Giemsa-stained; peripheral blood smear — 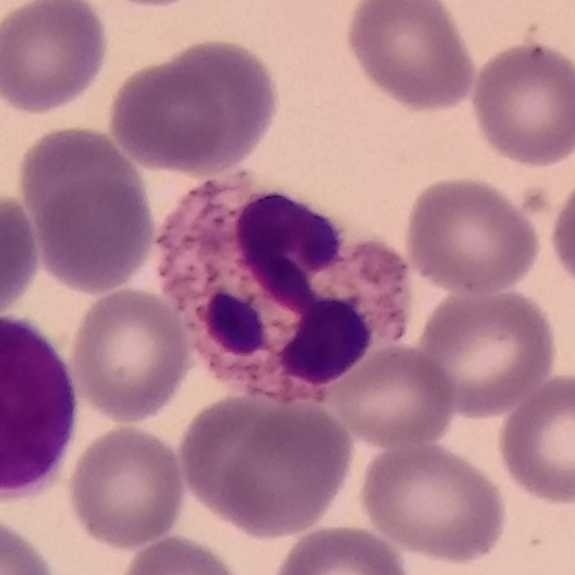

Morphology consistent with a neutrophilic granulocyte.